Peripheral blood smear; magnification 100× — 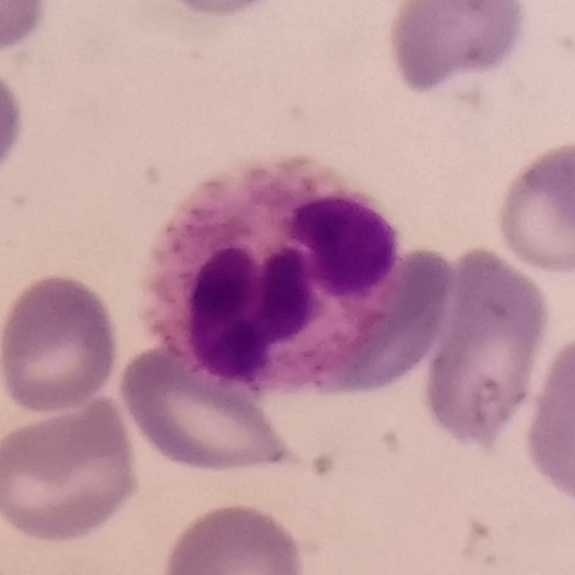
Morphology — neutrophil granulocyte.